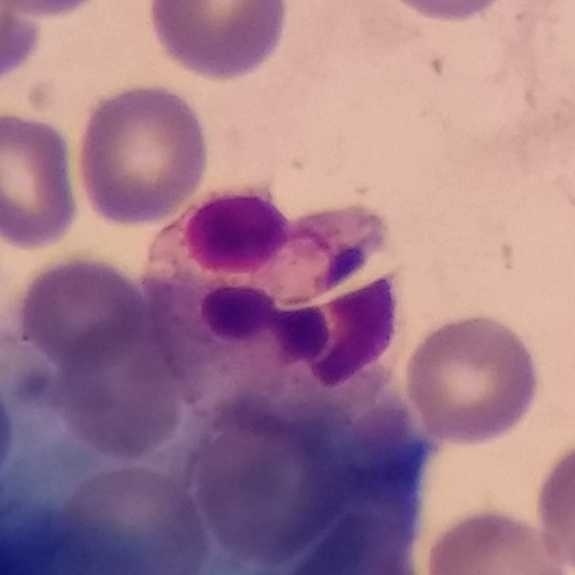Context: Peripheral blood smear.
Single cell identified as a neutrophilic granulocyte.